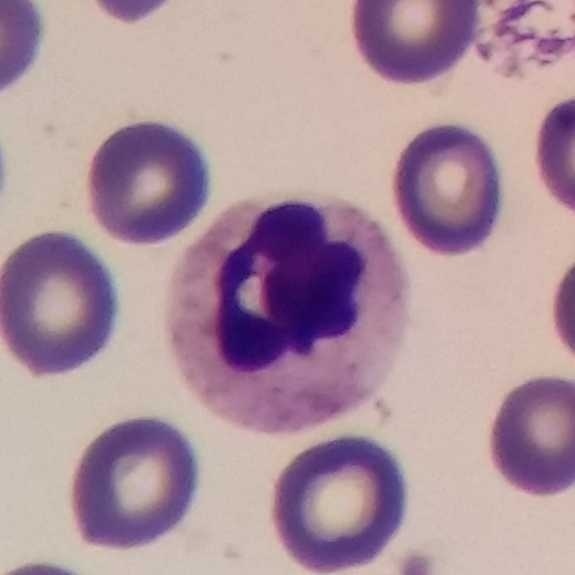
White blood cell type — neutrophil.

Image: Peripheral blood smear; single white blood cell cropped from the smear photograph; imaged at 100×.